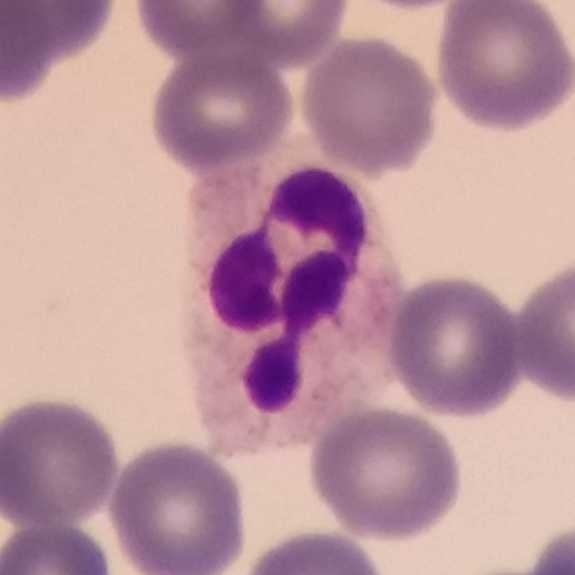

Q: What type of cell is this?
A: It is a neutrophil granulocyte. Preparation: Peripheral blood film; smartphone photomicrograph.